Peripheral blood smear
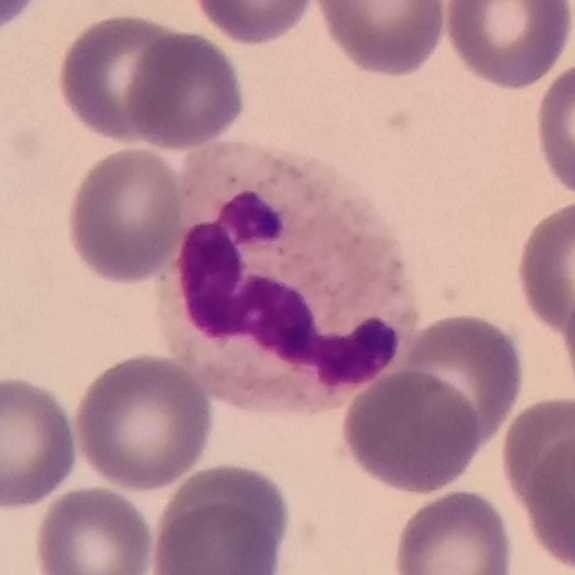 Specimen: peripheral blood smear.
Classification: neutrophil.
Lineage: myeloid.